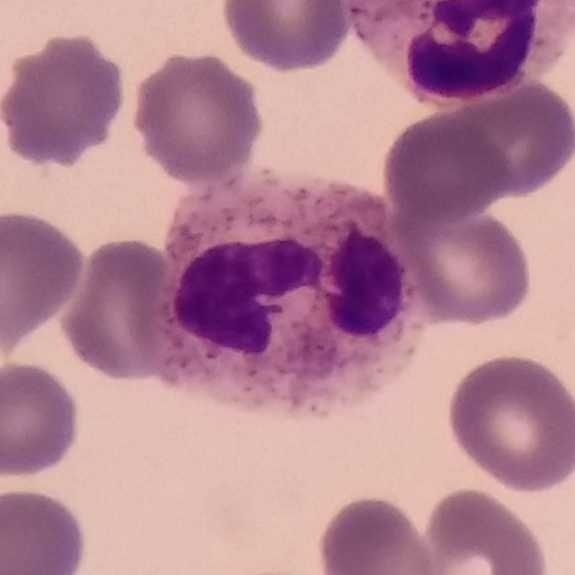
The cell shown is a neutrophil granulocyte. Context: Peripheral blood smear.